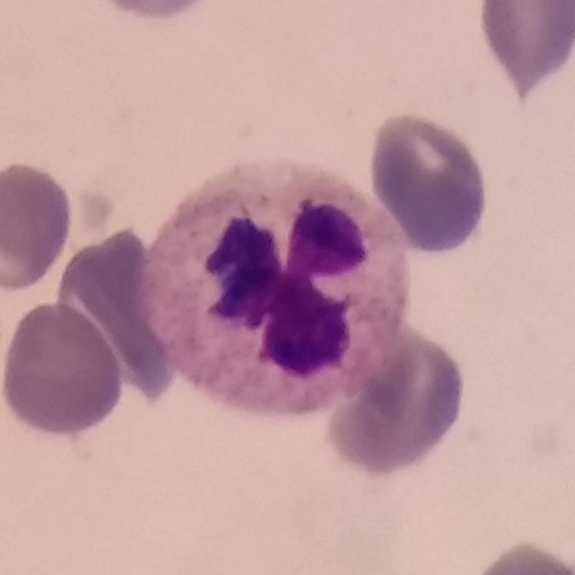
The classification is neutrophilic granulocyte.
Preparation: Peripheral blood film.